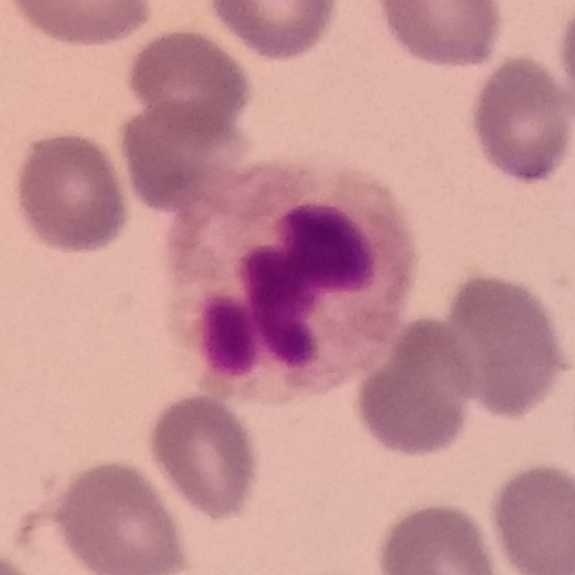

Morphological class — neutrophil granulocyte.

Context: Peripheral blood film.